Peripheral blood smear — 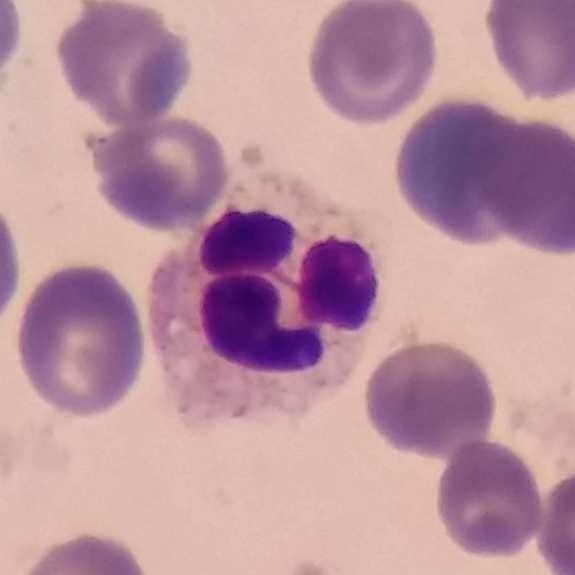 Specimen: peripheral blood film.
Morphological class: neutrophil granulocyte.
Lineage: myeloid.